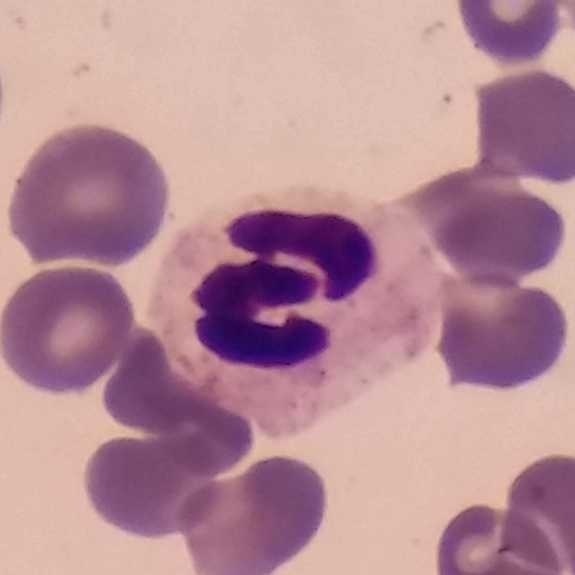
Single cell identified as a neutrophilic granulocyte. Context: Peripheral blood smear · 575 by 575 pixels.